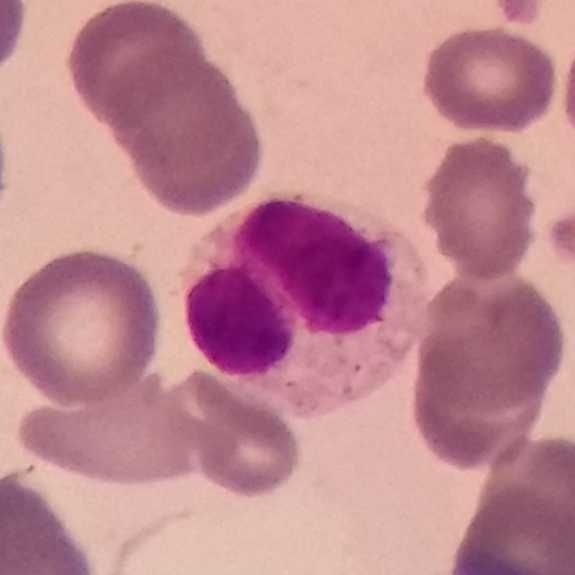
Showing a neutrophilic granulocyte. Preparation: Peripheral blood film.